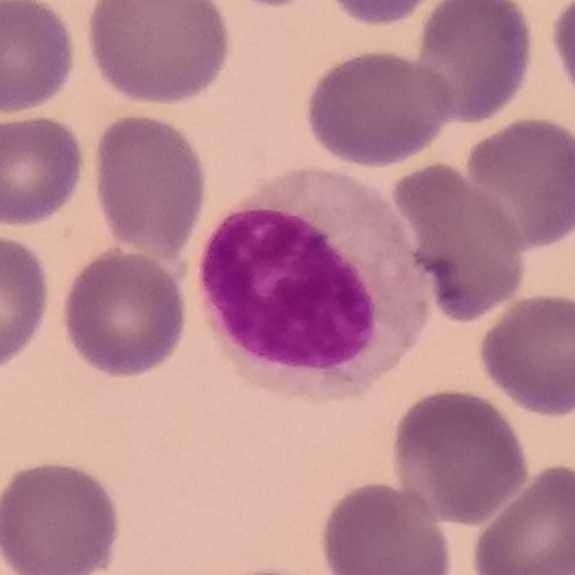 A lymphocyte.
Preparation: Single white blood cell cropped from the smear photograph; peripheral blood film; photographed through a light microscope with a smartphone camera.